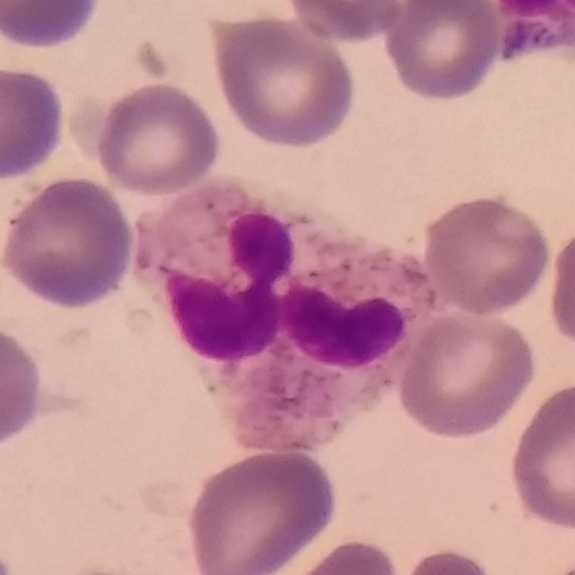 Context: Peripheral blood film. A neutrophil granulocyte.